Peripheral blood smear: 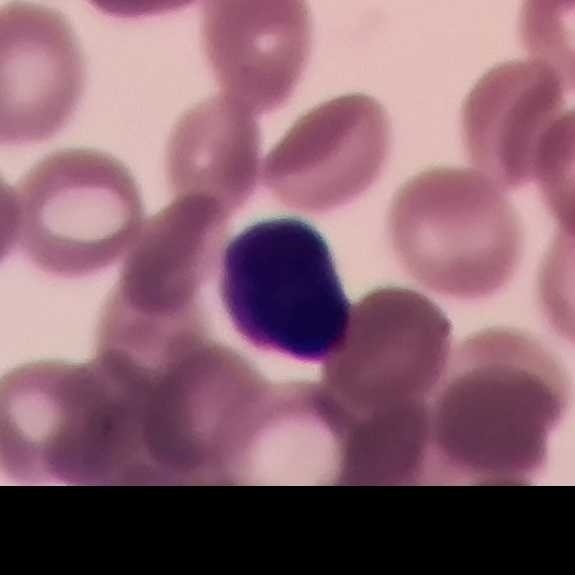 The white blood cell in this image is a lymphocyte.